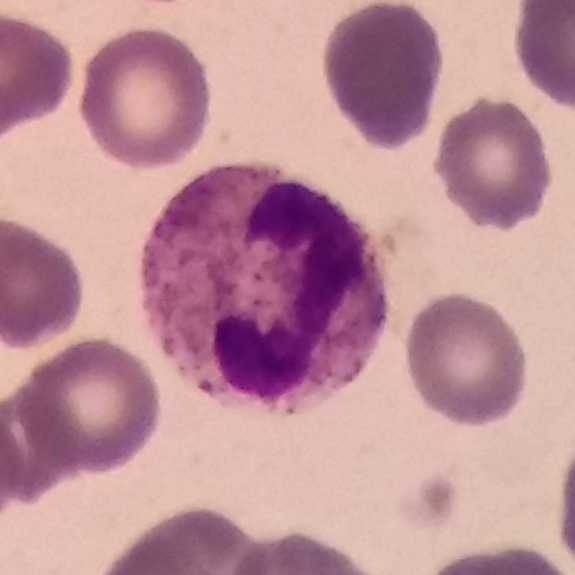
Context: Peripheral blood smear.
Morphological class — neutrophil granulocyte.